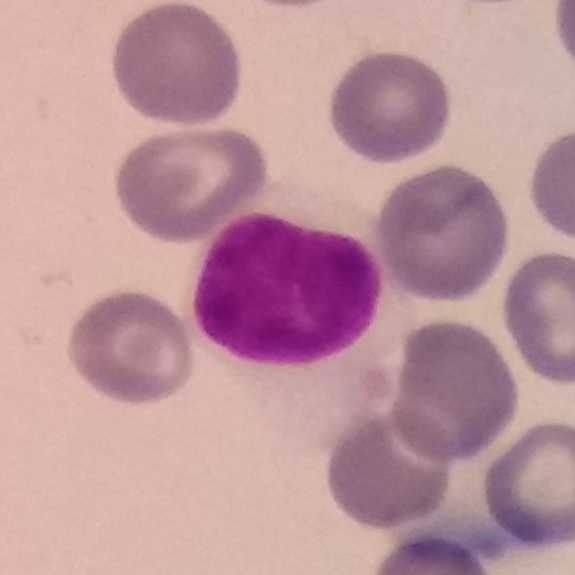{"cell_type": "lymphocyte", "lineage": "lymphoid"}
Context: Peripheral blood smear.